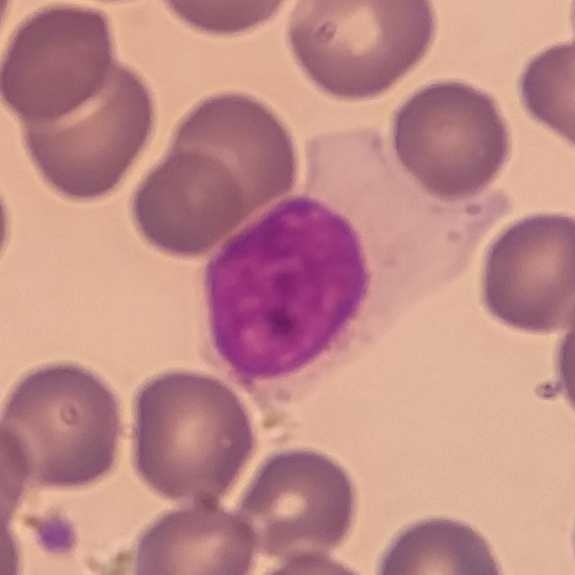

Context: Peripheral blood film.

Identified as a lymphocyte.